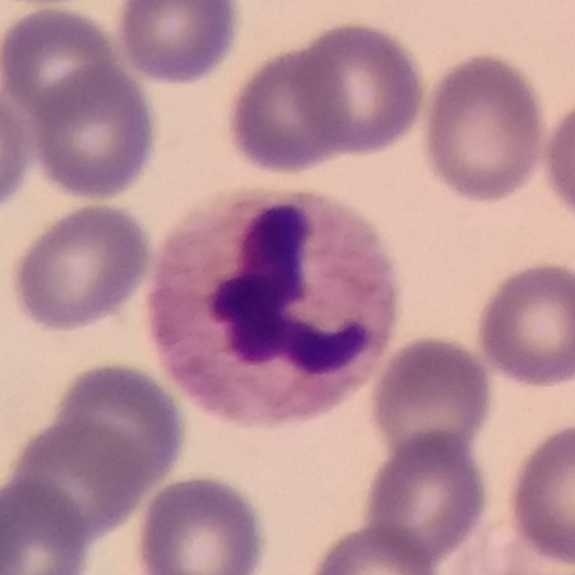
Stained with Giemsa; peripheral blood film.
Neutrophilic granulocyte.